Peripheral blood smear; 575×575 px — 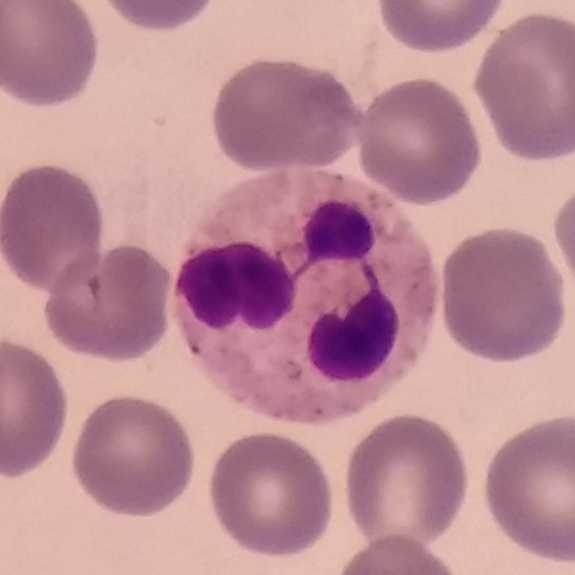 The classification is neutrophilic granulocyte.